Peripheral blood film
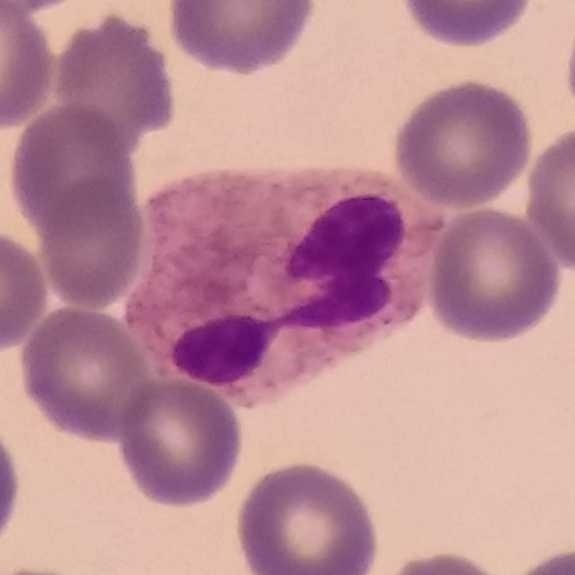 Classification: neutrophil.